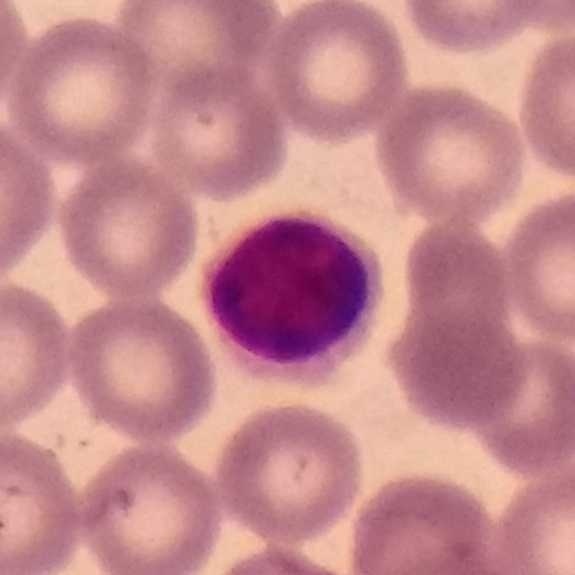Q: What is this?
A: This is a lymphocyte.